Peripheral blood film.
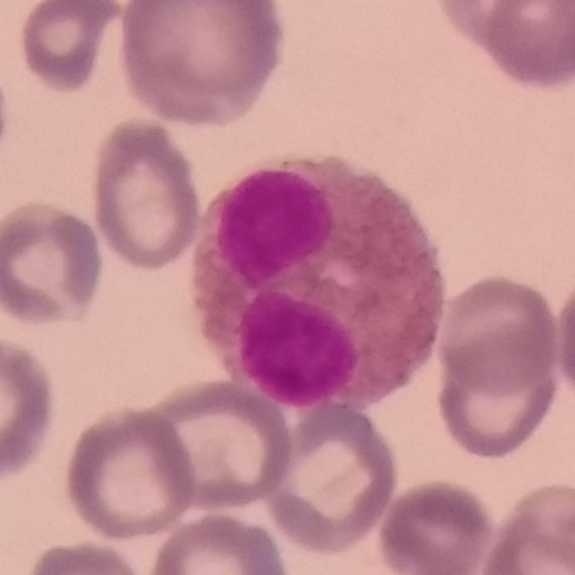 The white blood cell in this image is an eosinophilic granulocyte.